Peripheral blood smear: 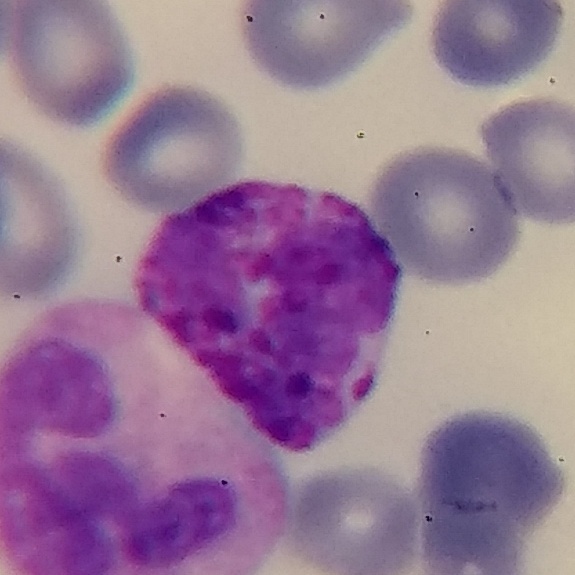{"cell_type": "basophil", "lineage": "myeloid"}